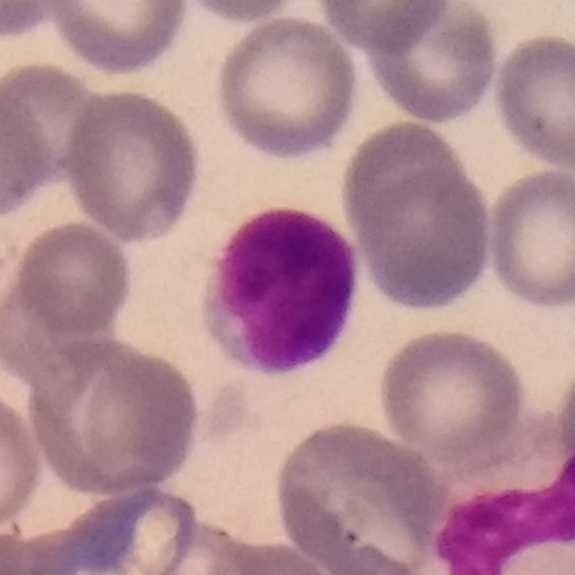

Cell: lymphocyte.